Peripheral blood smear; Giemsa-stained; 100× magnification.
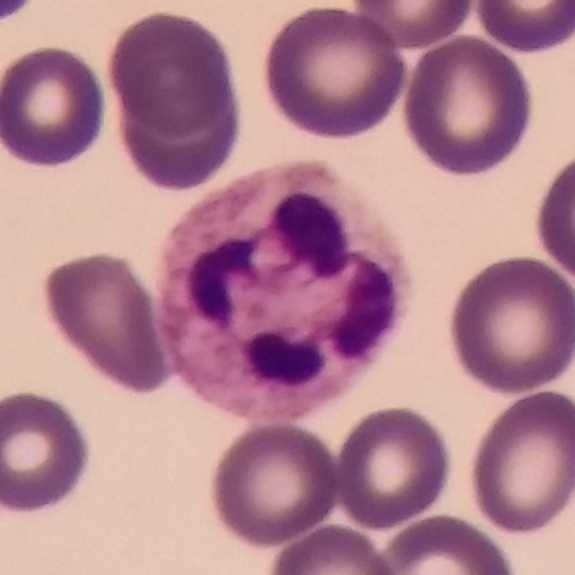 White blood cell type: neutrophilic granulocyte.